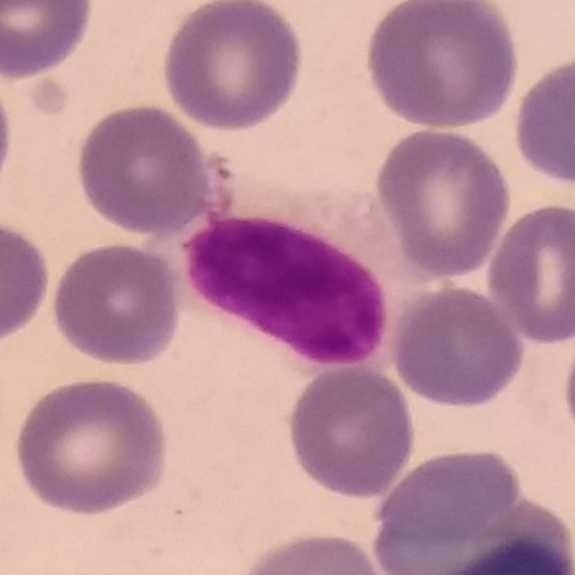Context: Magnification 100×. Peripheral blood film.
Identified as a lymphocyte.